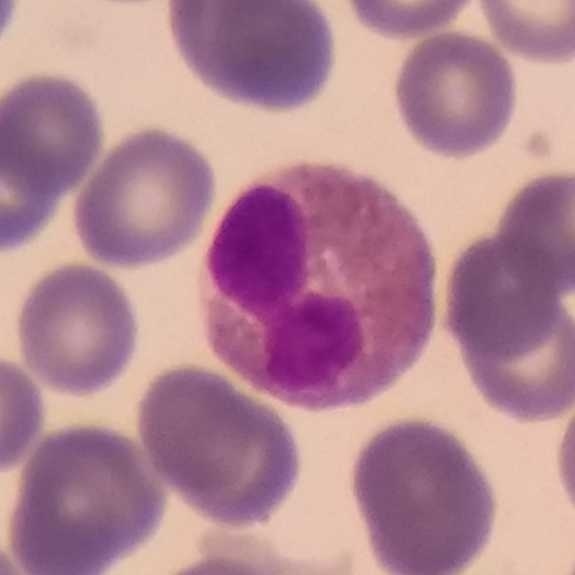

Peripheral blood smear.

Cell = eosinophilic granulocyte.